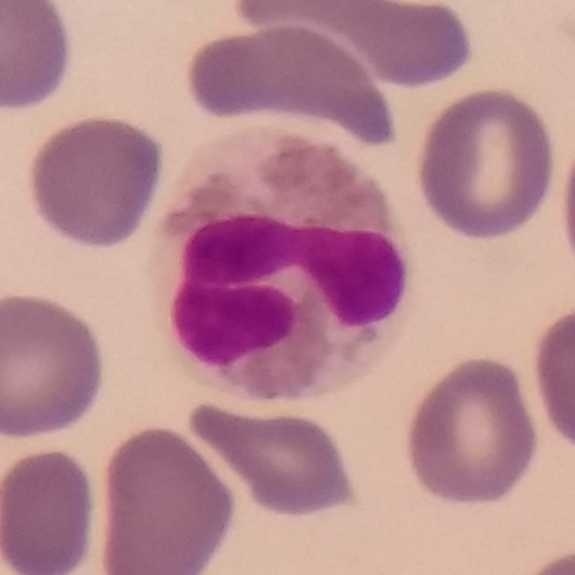

Classification = eosinophil.